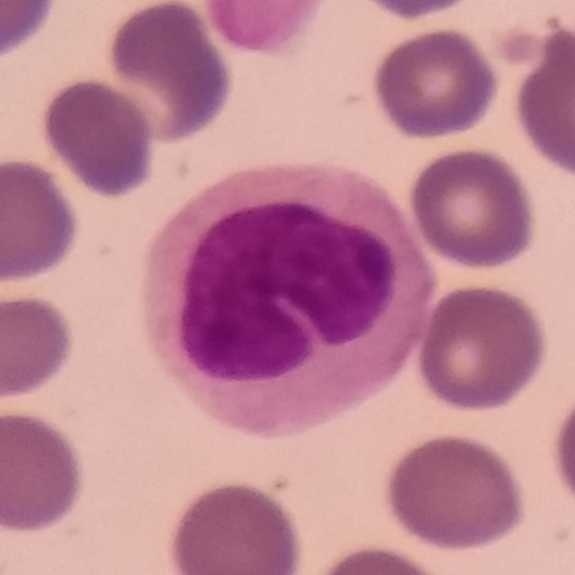Acquisition: Peripheral blood film.

The white blood cell in this image is a monocyte.